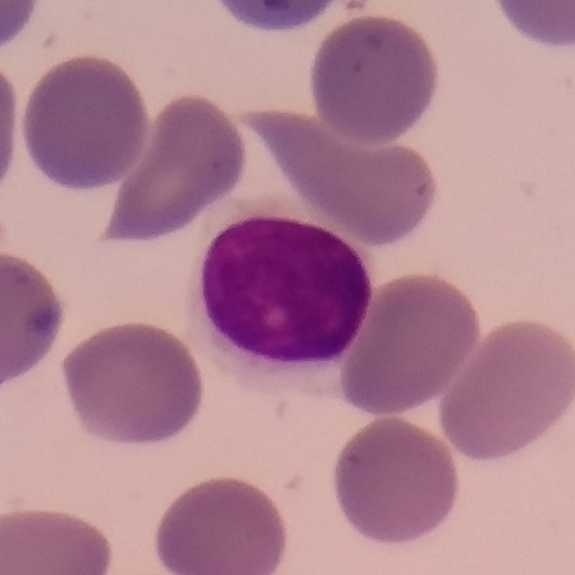 Morphology consistent with a lymphocyte.

Image: Peripheral blood smear.